Peripheral blood smear:
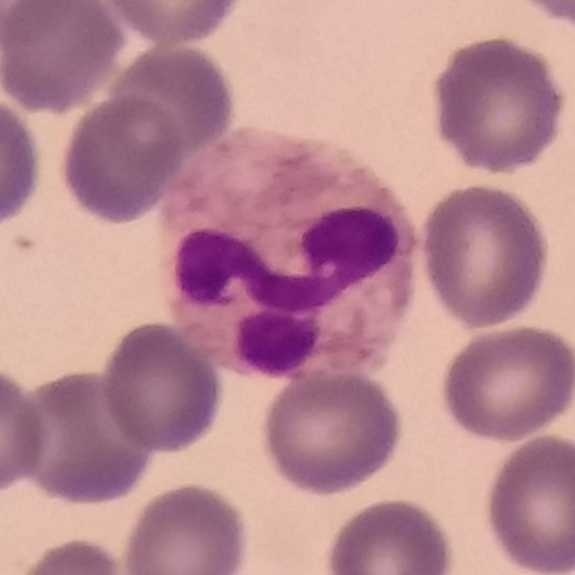

Specimen: peripheral blood smear.
Classification: neutrophil granulocyte.
Lineage: myeloid.